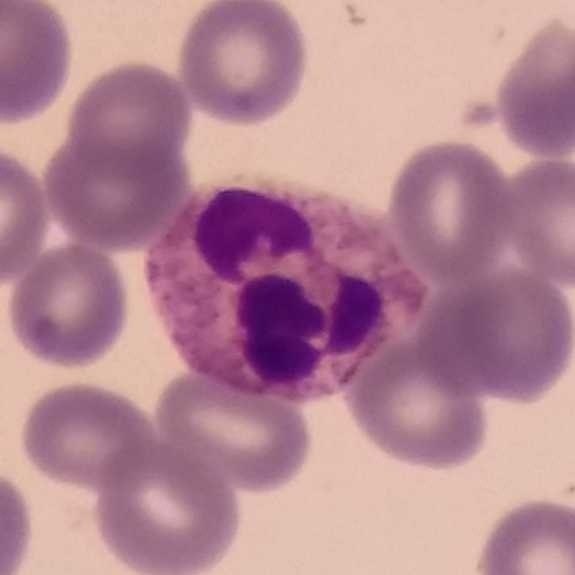
This is a neutrophil granulocyte.

Smartphone photomicrograph; peripheral blood film; stained with Giemsa.